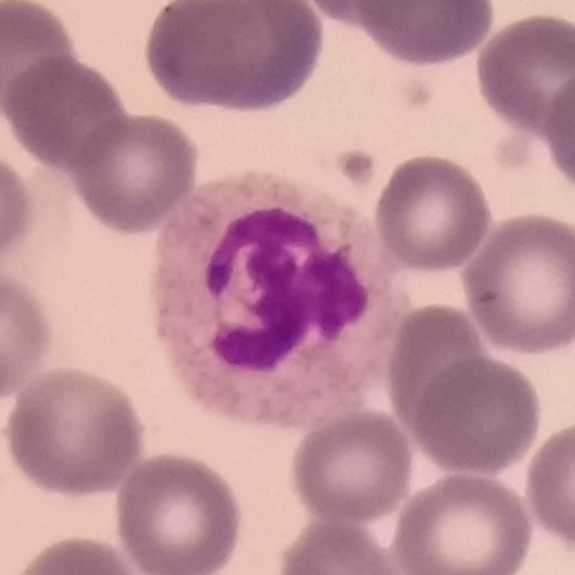
Q: Which type of white blood cell is this?
A: It is a neutrophil granulocyte.